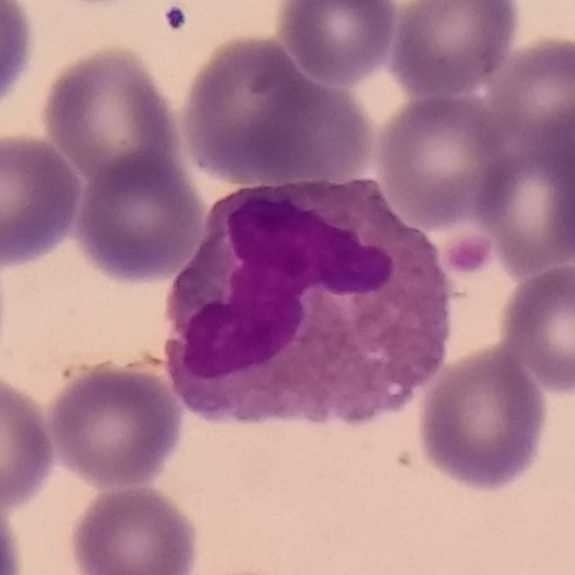Morphology — eosinophilic granulocyte.

Giemsa-stained; peripheral blood film.